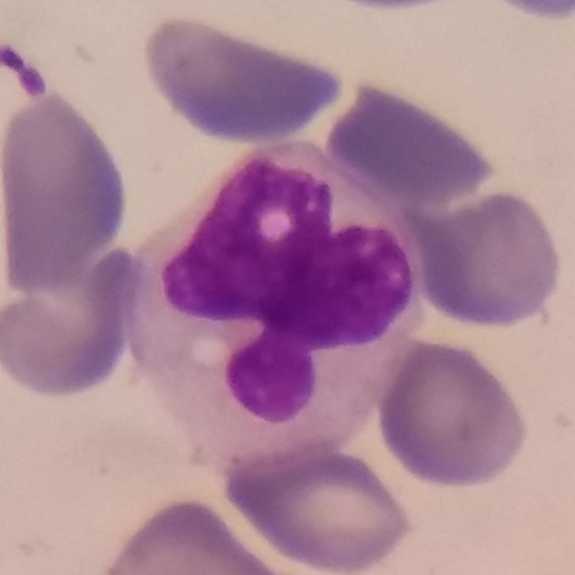Morphology → monocyte.